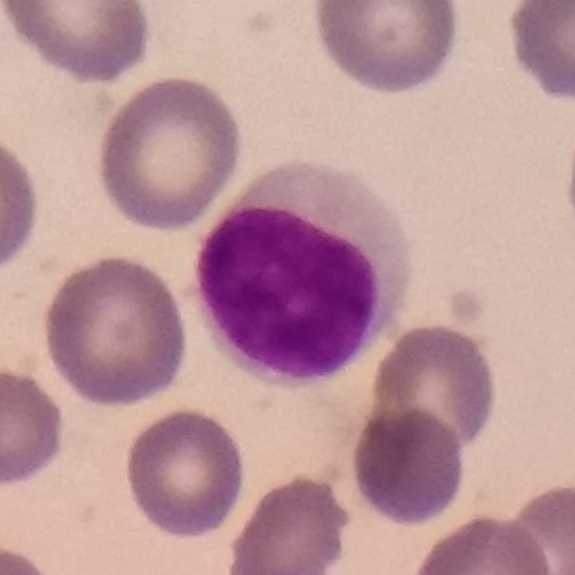Identified as a lymphocyte.